Peripheral blood smear; Giemsa-stained — 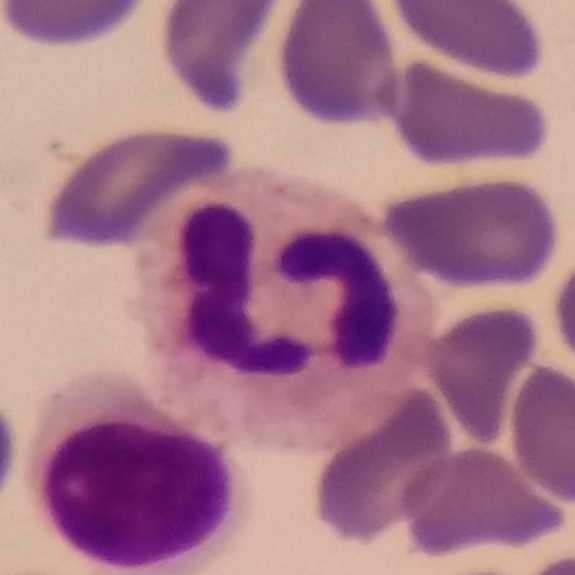Neutrophil.